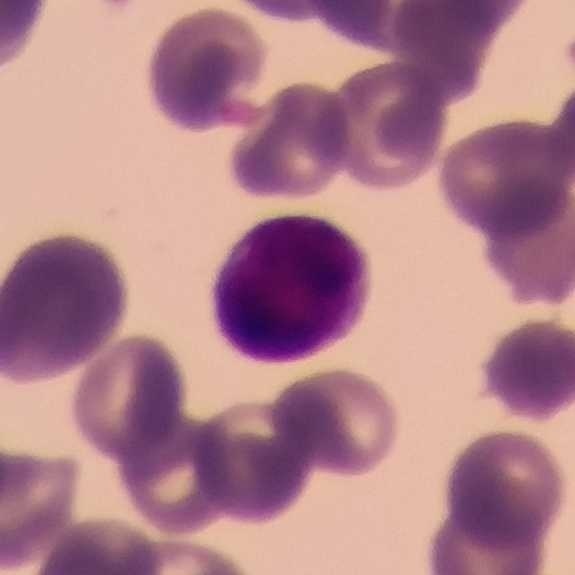Morphological class: lymphocyte.